Peripheral blood film.
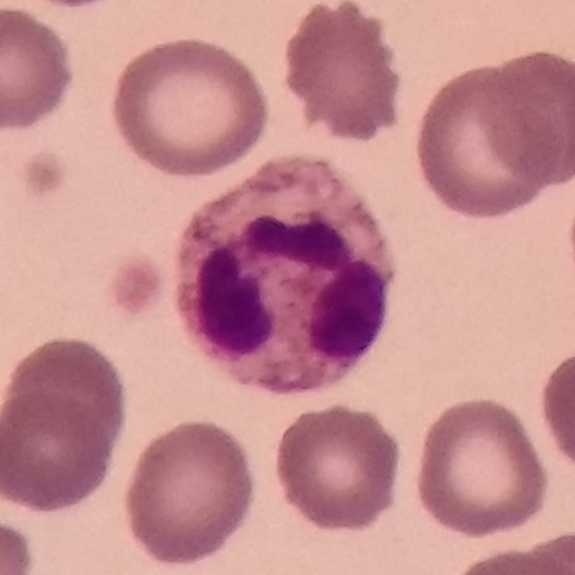White blood cell type — neutrophil.